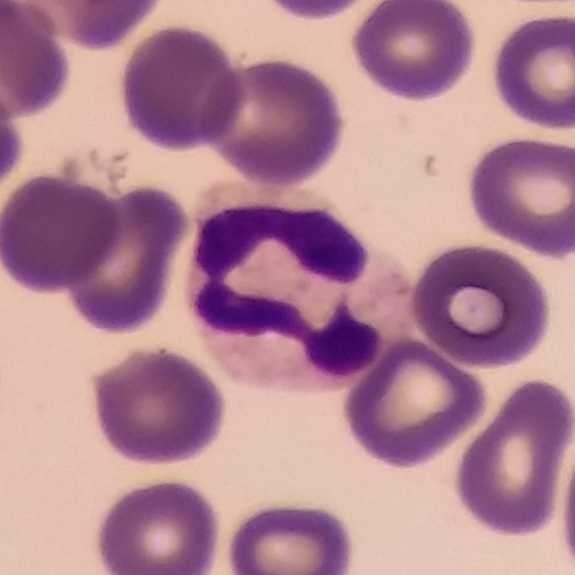

Q: What cell is this?
A: A neutrophilic granulocyte.
Preparation: Smartphone camera mounted on the microscope eyepiece; peripheral blood film; single-cell crop.